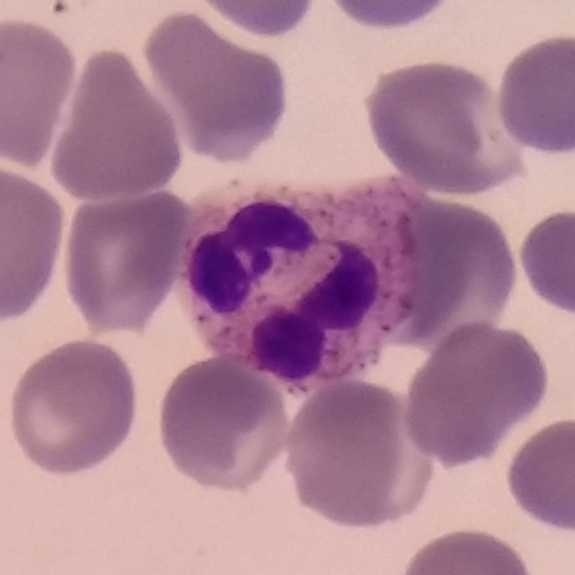 Q: Identify the cell.
A: This is a neutrophil. Context: Peripheral blood smear.